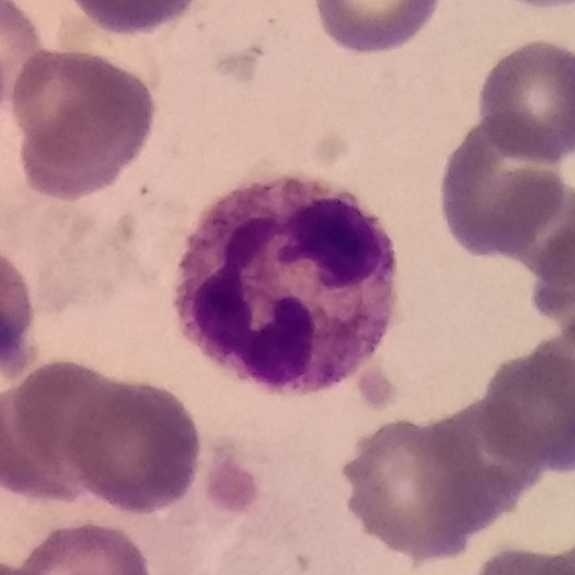The cell shown is a neutrophil granulocyte.